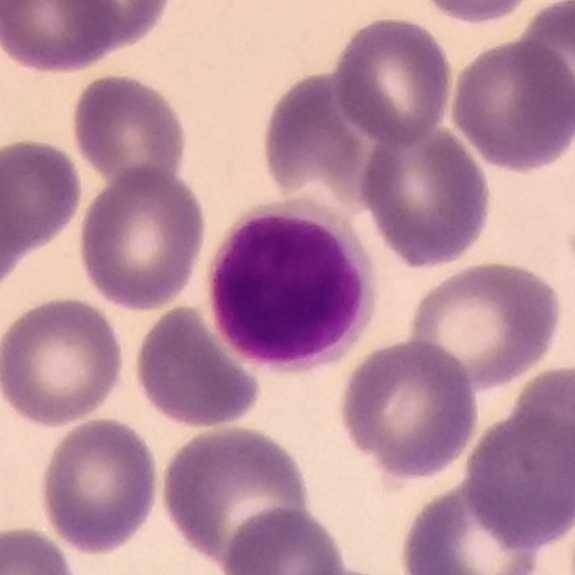Context: Peripheral blood film. 575×575 px. Q: What cell is this?
A: Lymphocyte.